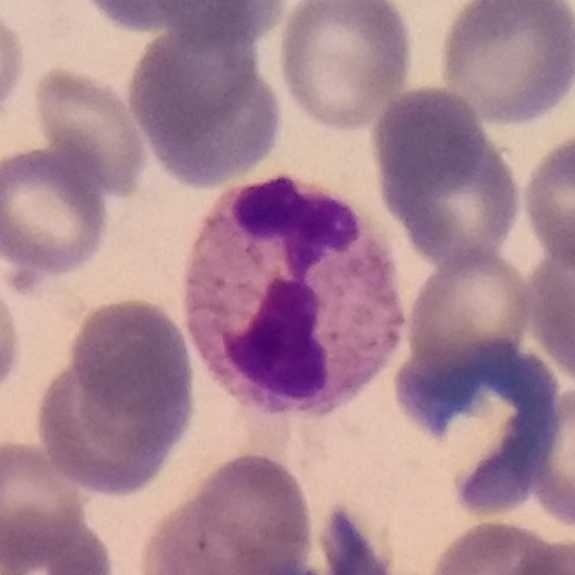

Cell — neutrophil.